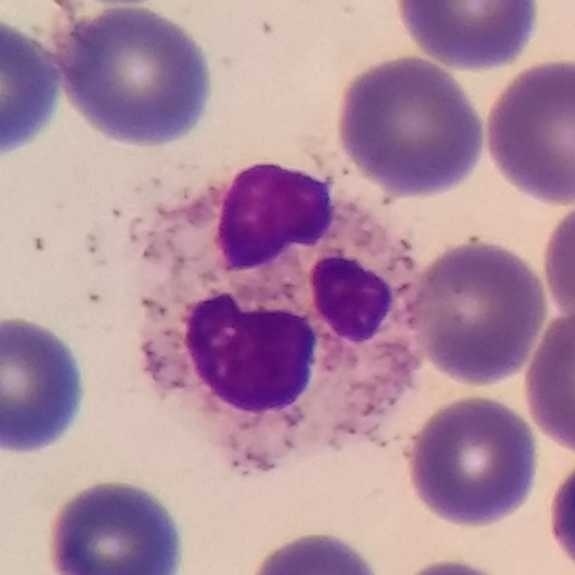 Context: Peripheral blood smear.

The white blood cell in this image is a neutrophil.